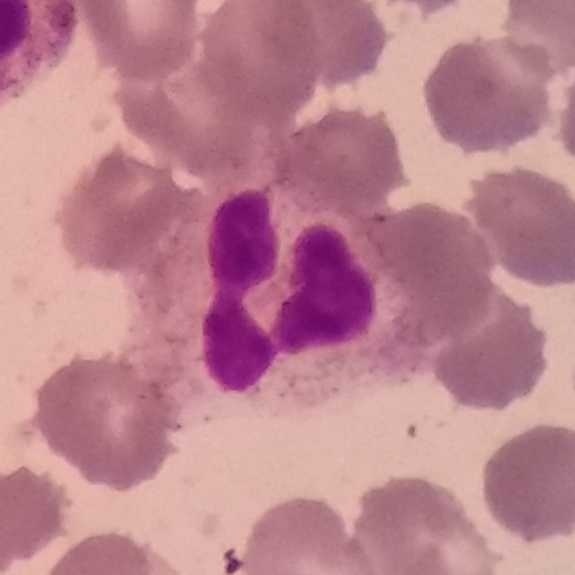Classification — neutrophilic granulocyte.
Image: Peripheral blood film.